Image size 575×575; peripheral blood film; stained with Giemsa
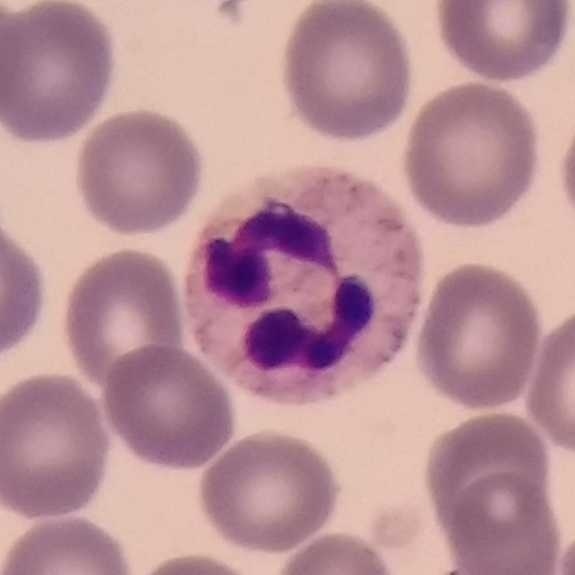The white blood cell type is neutrophil granulocyte.